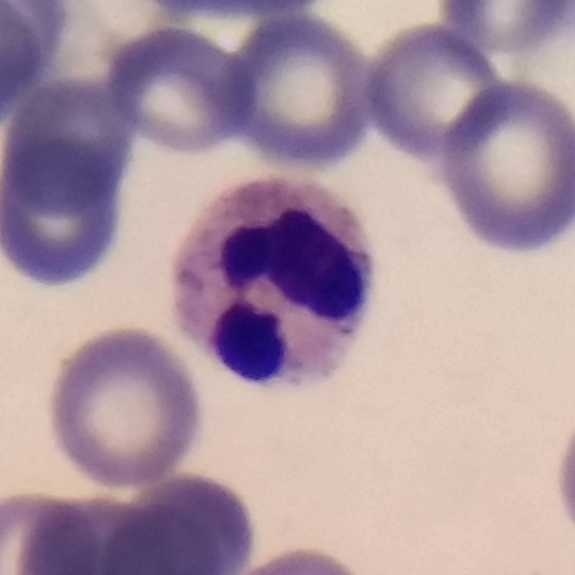 Morphological class = neutrophil granulocyte.